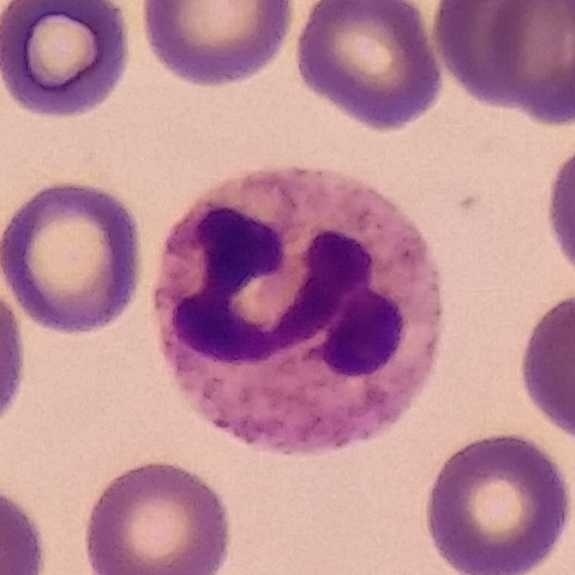 100× magnification; peripheral blood film; cropped to one leukocyte.

Q: What is shown here?
A: Neutrophil.